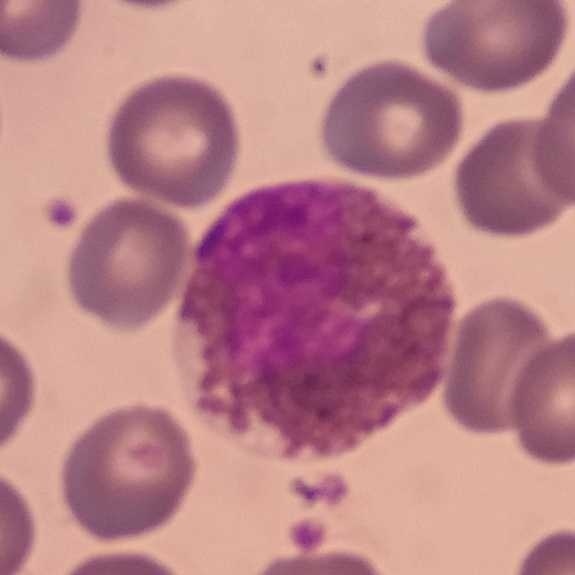Single-cell crop from a peripheral blood smear: eosinophil.